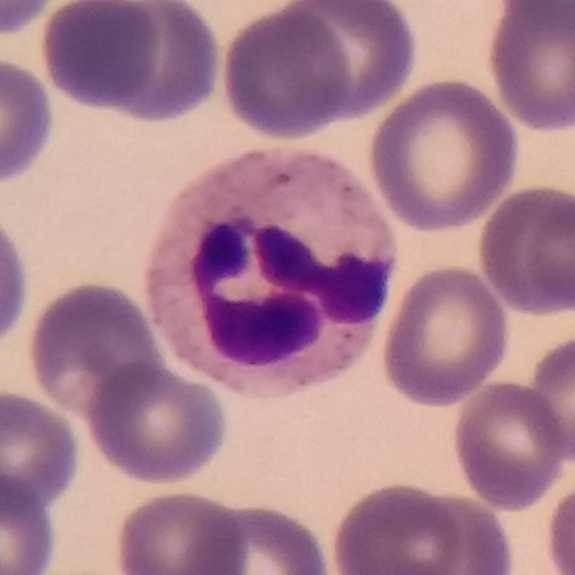 The classification is neutrophil granulocyte.